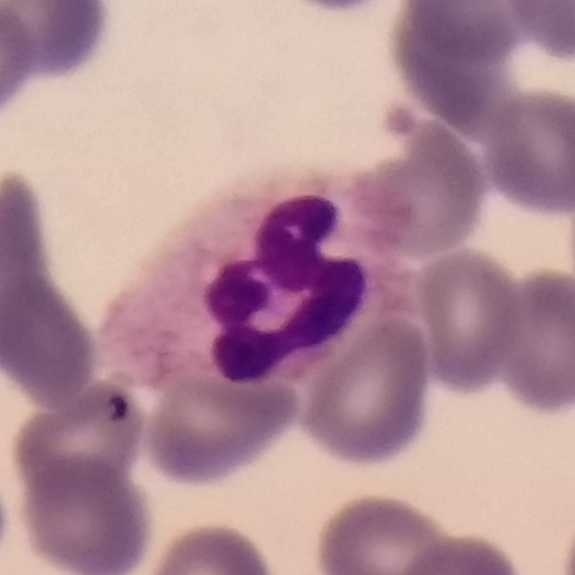

Impression → neutrophilic granulocyte.
Image: Peripheral blood film.